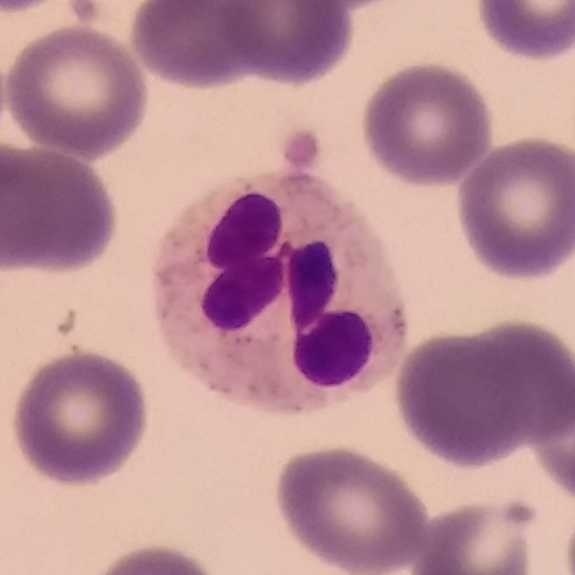 Specimen: peripheral blood film.
Cell: neutrophilic granulocyte.